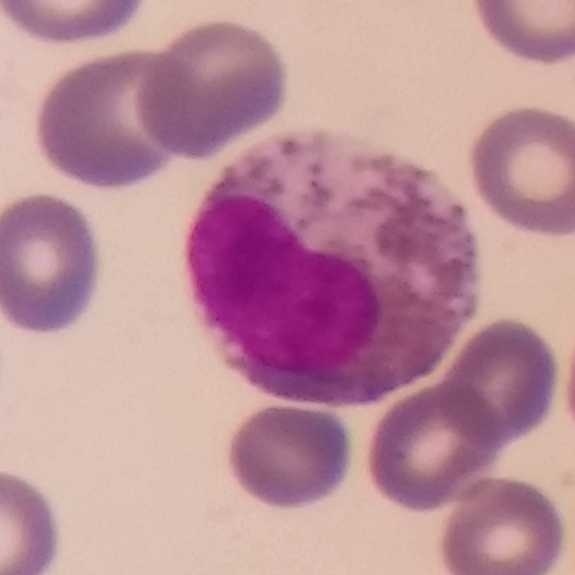Showing an eosinophil. Single-cell field · peripheral blood film.